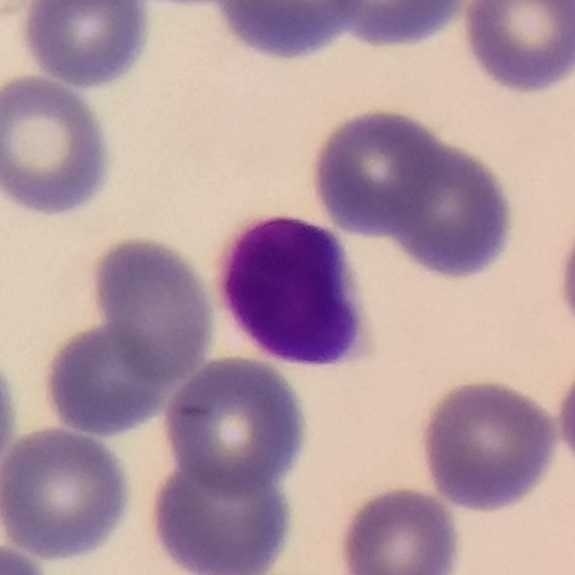
A lymphocyte.

Context: Magnification 100× · peripheral blood film.